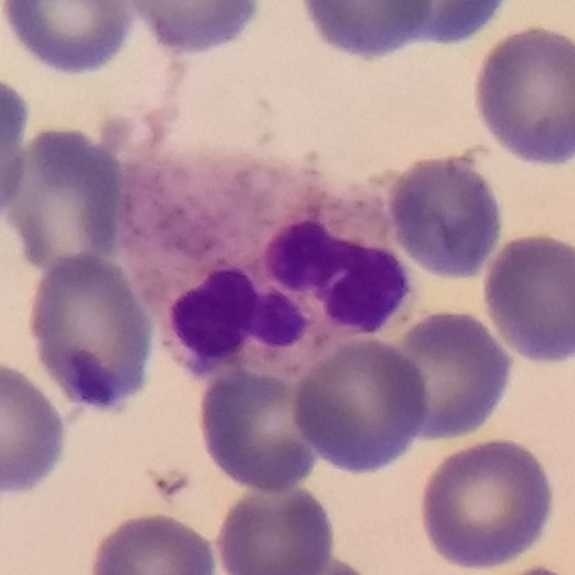
White blood cell from a peripheral blood smear: neutrophilic granulocyte.